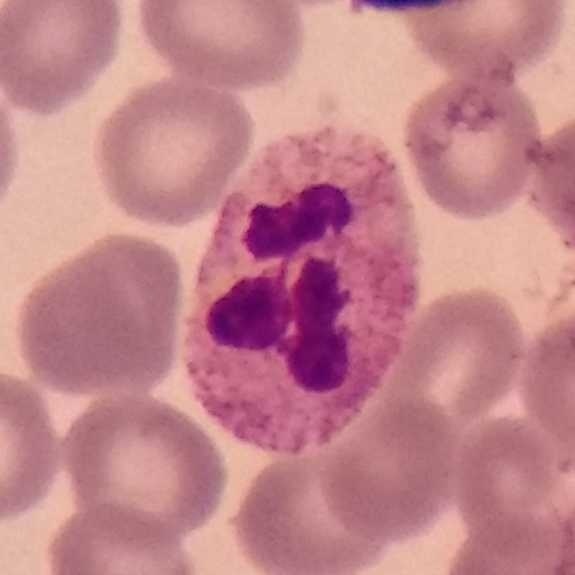

Classification — neutrophilic granulocyte.
Image: Peripheral blood film; 100× magnification.